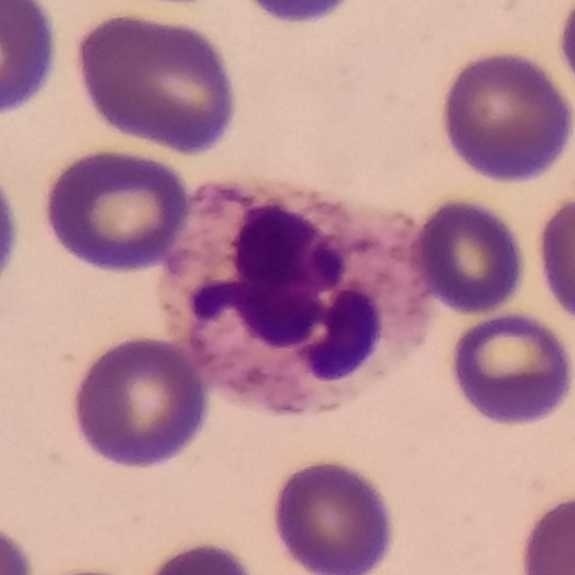Impression → neutrophil granulocyte.
Preparation: Peripheral blood smear · smartphone photomicrograph.